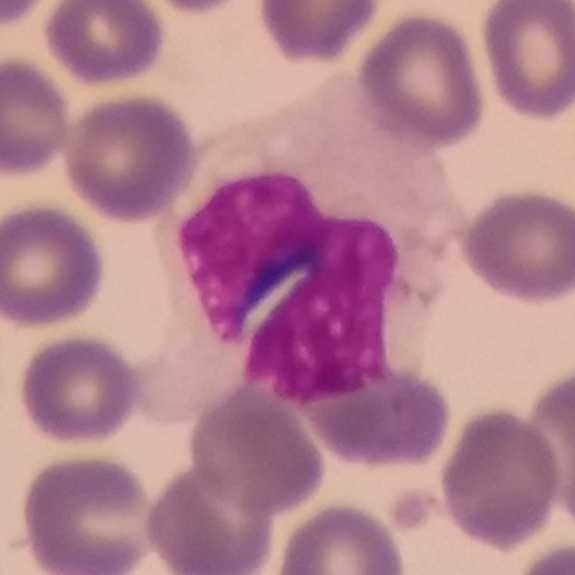Acquisition: Peripheral blood smear.

Q: What type of cell is this?
A: Monocyte.